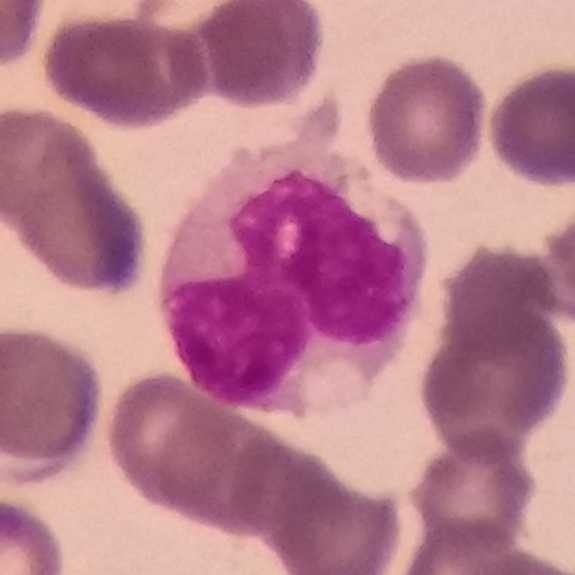
Morphology — monocyte.